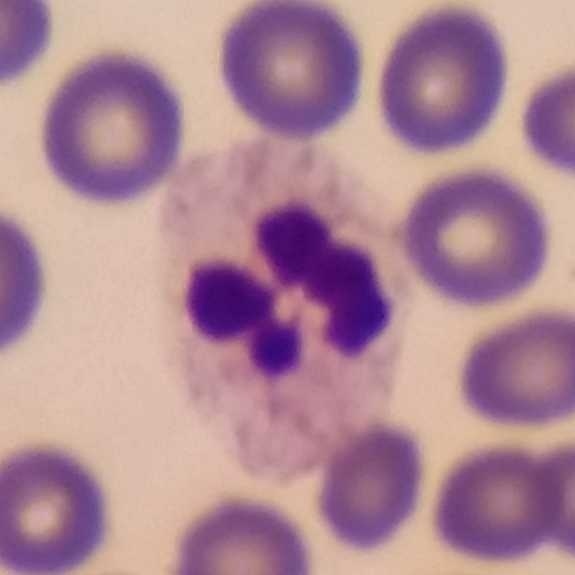This is a neutrophilic granulocyte. Image: 100× magnification; Giemsa-stained; peripheral blood film.